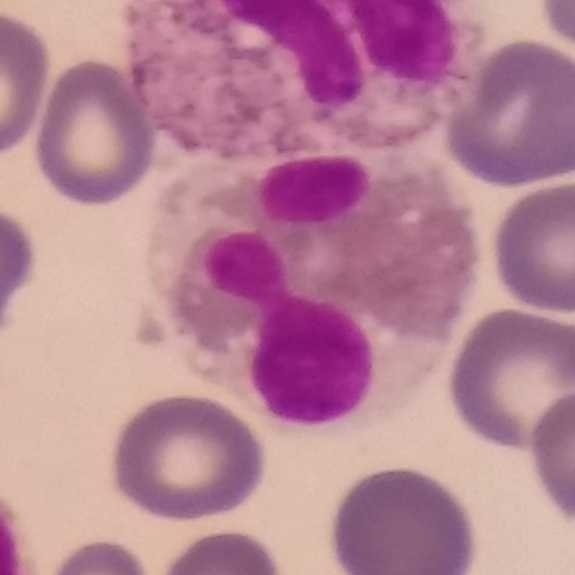
Acquisition: Peripheral blood film.
Showing an eosinophil.